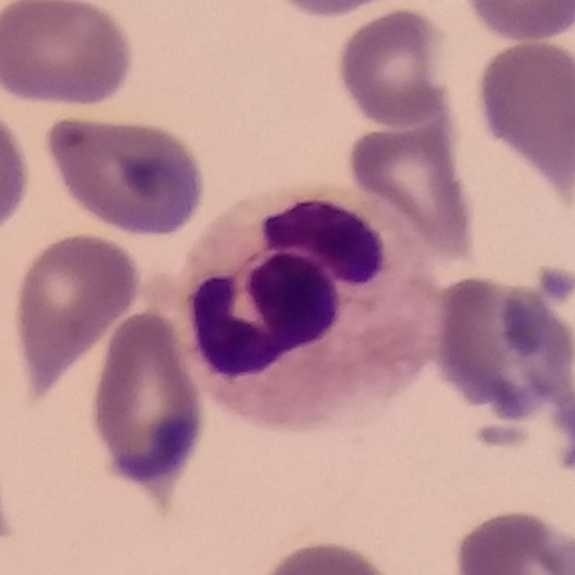
White blood cell from a peripheral blood smear: neutrophilic granulocyte.